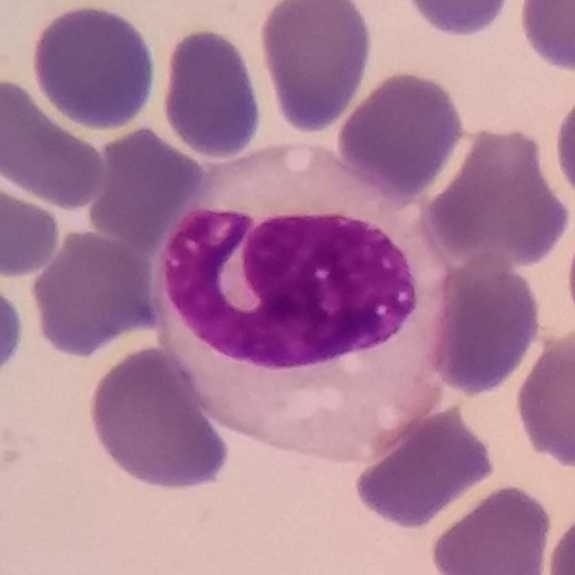 This is a monocyte. Acquisition: Peripheral blood film.